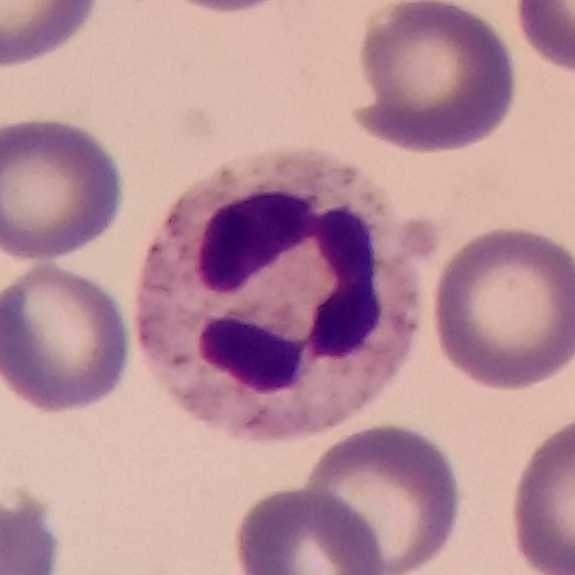
Acquisition: Imaged at 100× · phone-camera image taken through the microscope ocular.
Specimen: peripheral blood film.
Morphological class: neutrophil.
Lineage: myeloid.